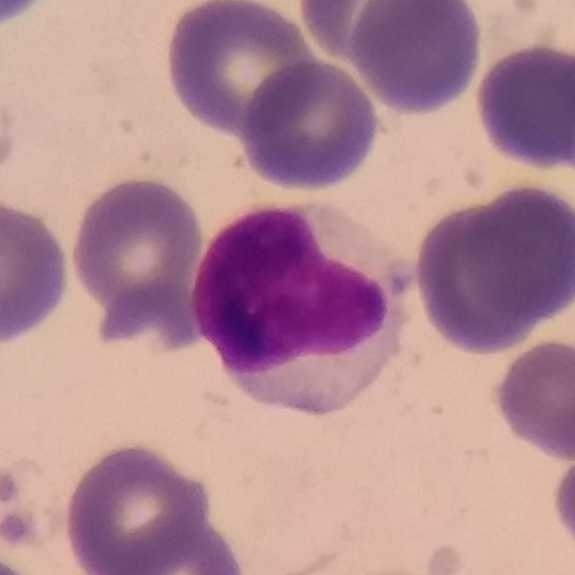
White blood cell type: lymphocyte.